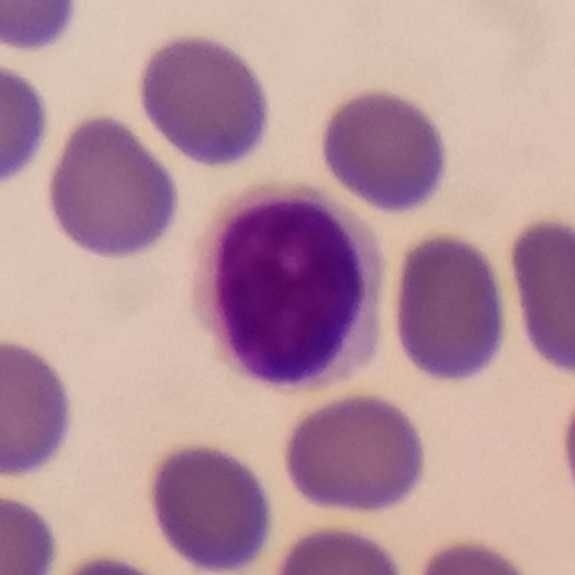
Showing a lymphocyte.